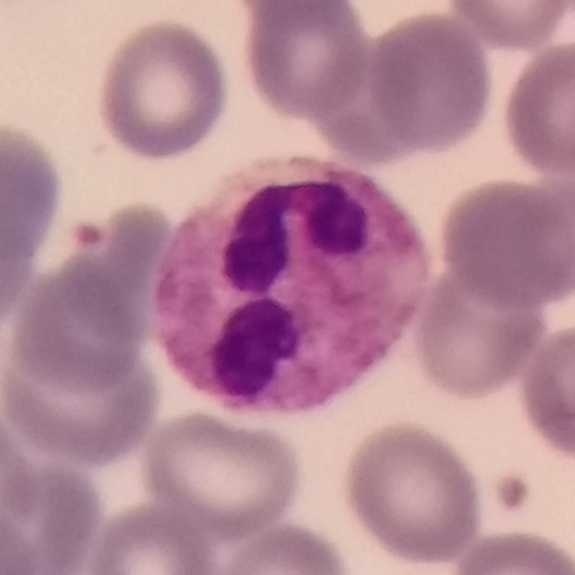 Image: Peripheral blood smear; single-cell field; Giemsa stain. Cell: neutrophil.